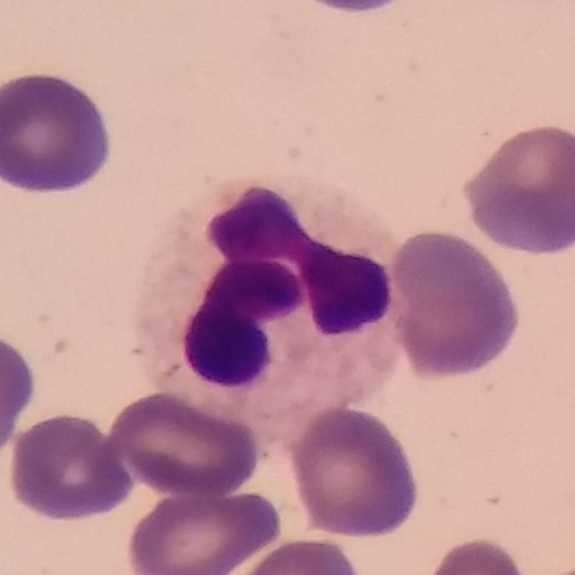
Context: Giemsa stain · peripheral blood film.

A neutrophil.